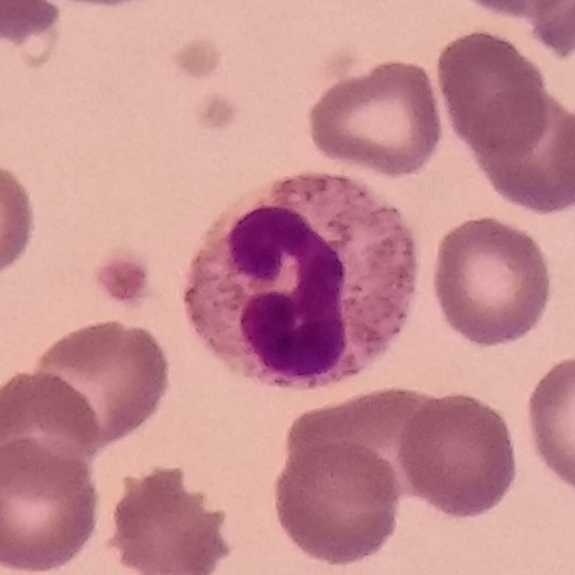Single cell identified as a neutrophil granulocyte.